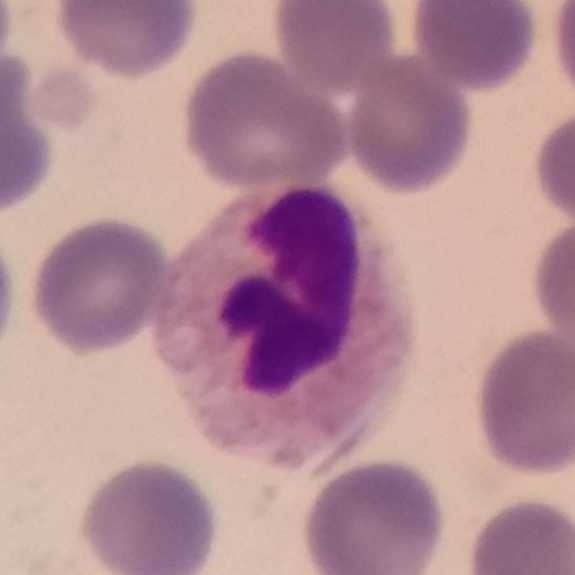

Acquisition: Peripheral blood film.

Single cell identified as a neutrophil granulocyte.